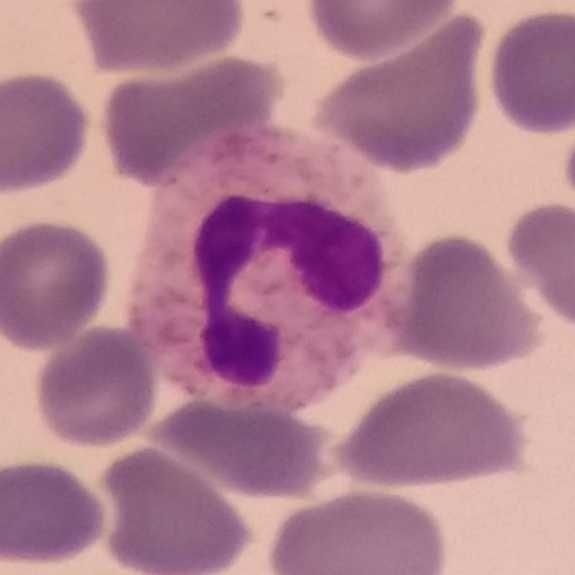 Impression — neutrophil granulocyte.
Preparation: Peripheral blood smear · Giemsa stain.